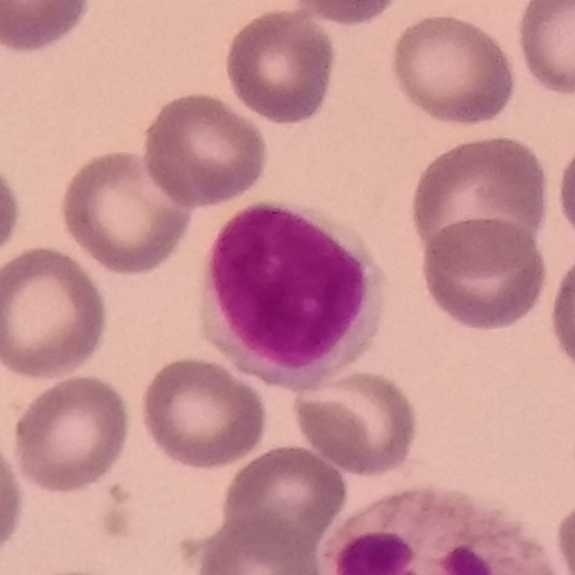 Showing a lymphocyte.

Acquisition: Peripheral blood film.